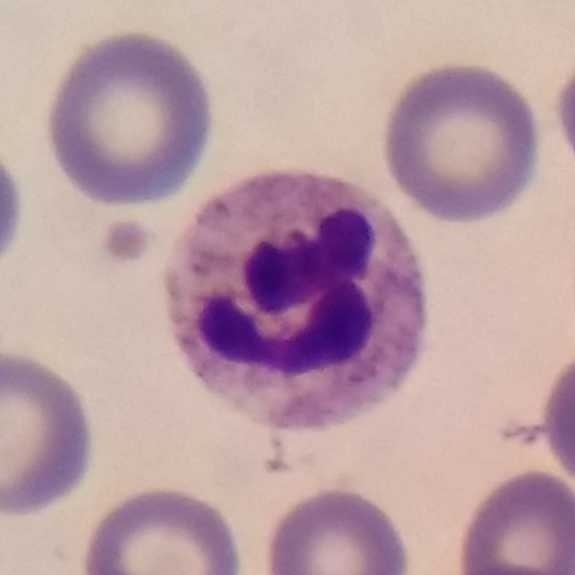

Peripheral blood film, single cell — neutrophil granulocyte.